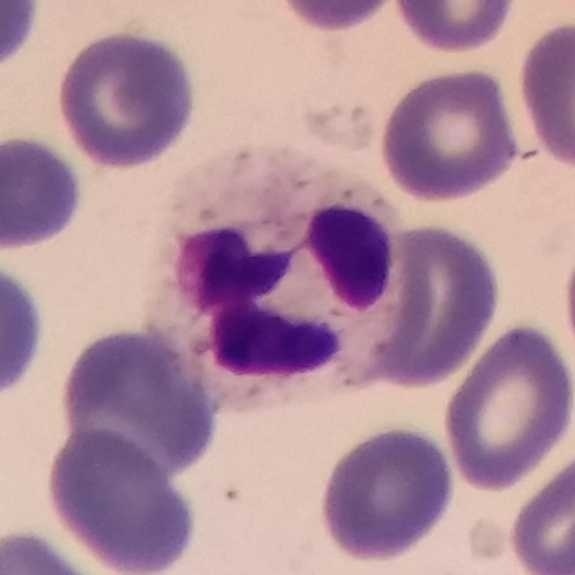 Specimen: peripheral blood smear.
Morphological class: neutrophil granulocyte.
Lineage: myeloid.

575 by 575 pixels. 100× magnification.